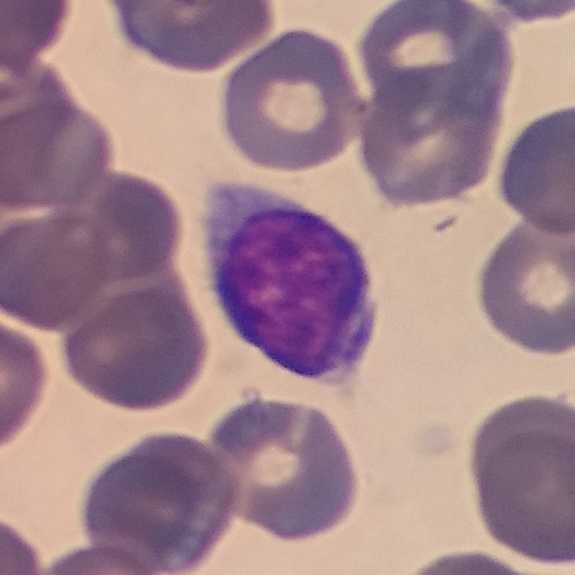
A lymphocyte.

Preparation: Peripheral blood film.